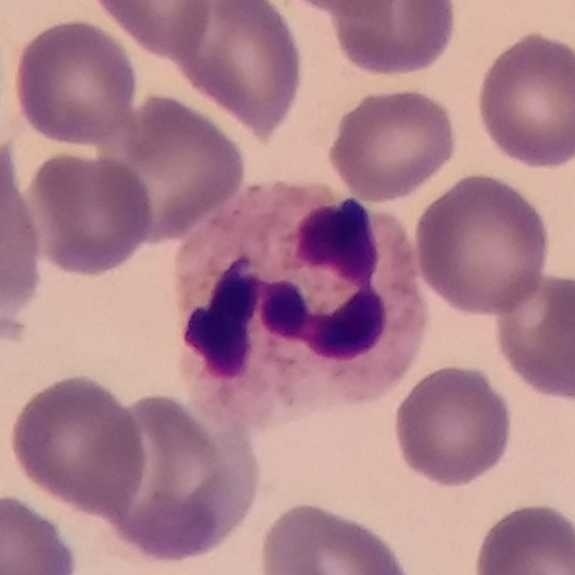 Neutrophilic granulocyte. Image: Peripheral blood film.